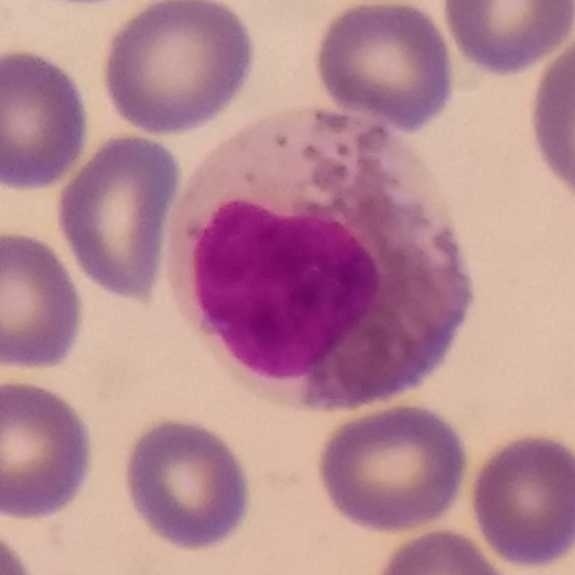 Showing an eosinophil.

Peripheral blood film · 575×575 px.